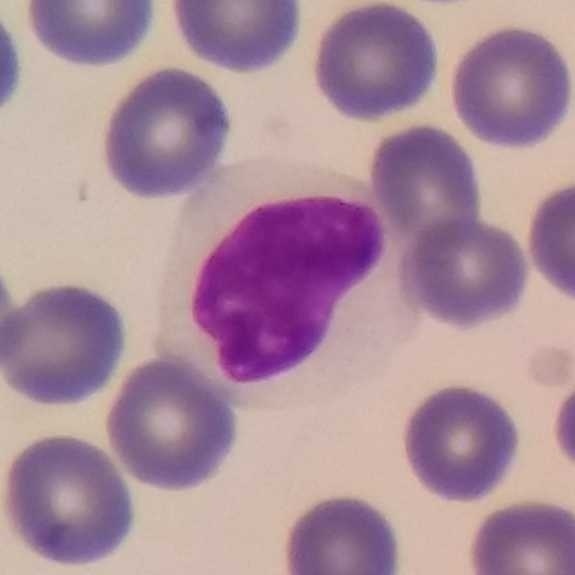 Showing a lymphocyte.
Context: Peripheral blood smear.